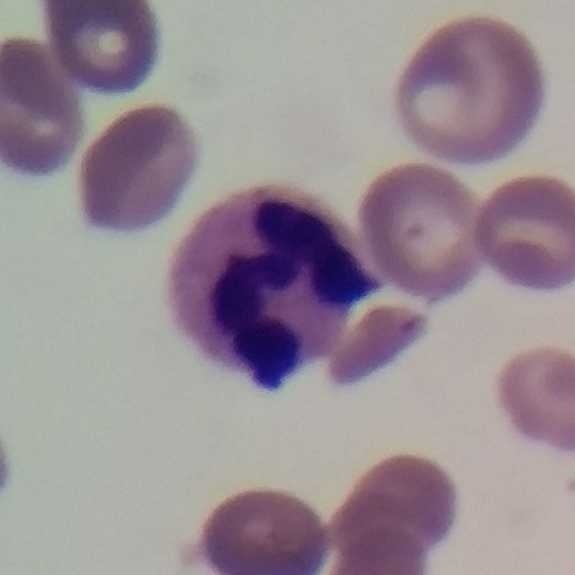 Acquisition: 575 by 575 pixels; peripheral blood smear. Single cell identified as a neutrophilic granulocyte.